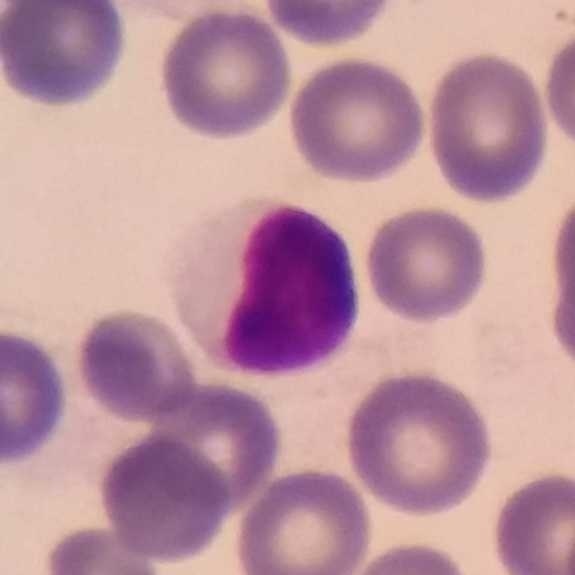

Specimen: peripheral blood film.
White blood cell type: lymphocyte.
Lineage: lymphoid.